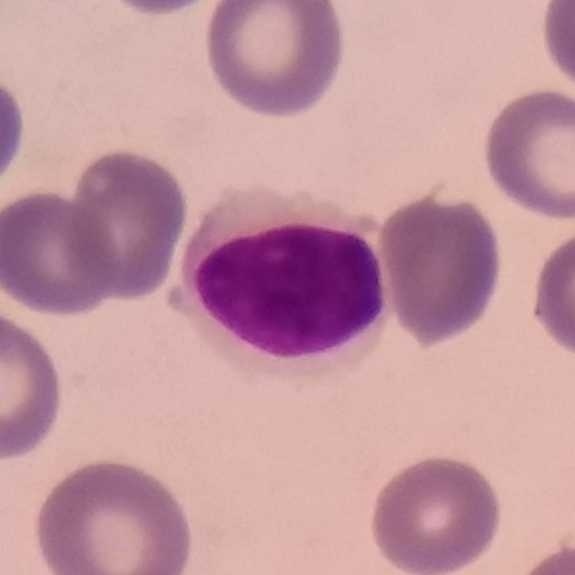 Q: Identify the cell.
A: It is a lymphocyte.

Acquisition: Peripheral blood smear.